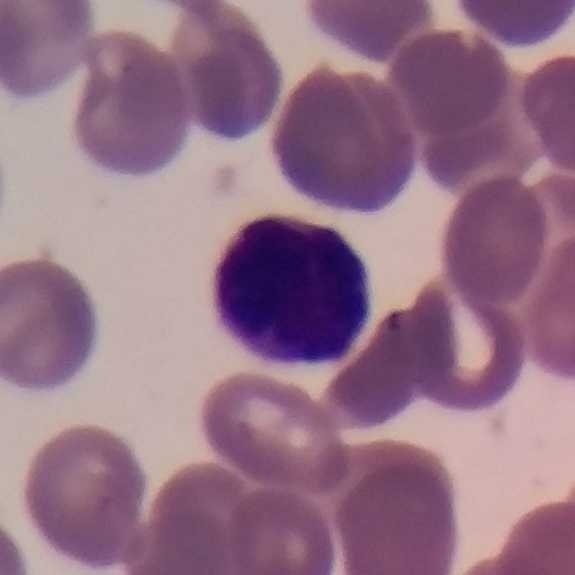
Morphological class: lymphocyte.

Image: Peripheral blood film.